Peripheral blood smear. Smartphone camera mounted on the microscope eyepiece — 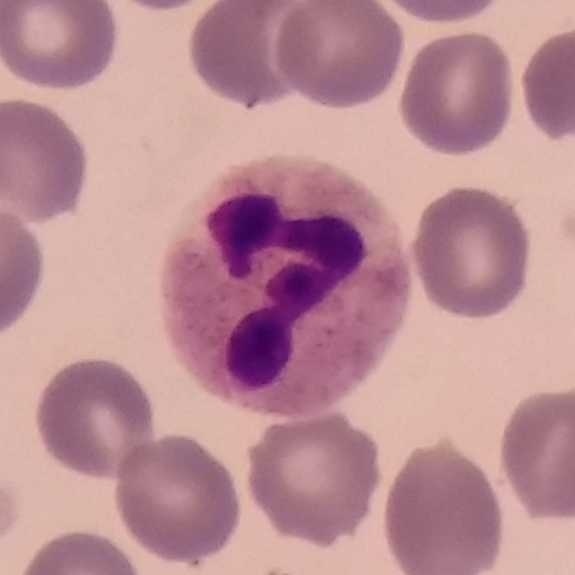

Cell type = neutrophil.